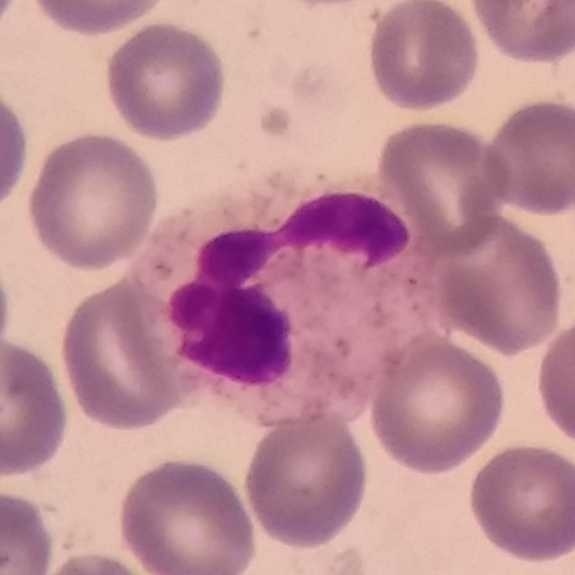Morphological class = neutrophil granulocyte. Peripheral blood film.